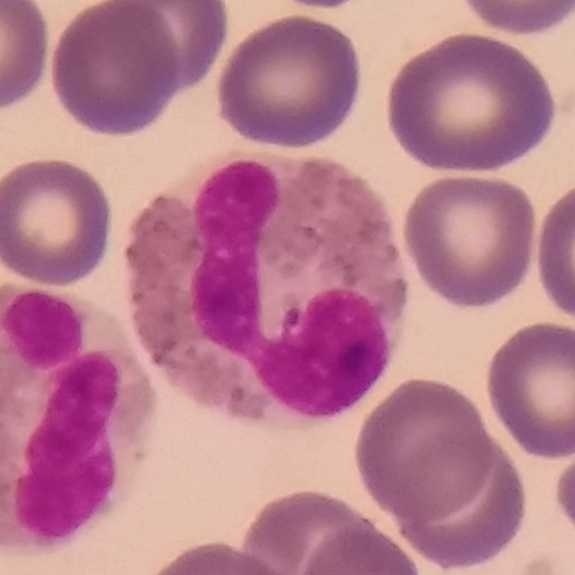

Context: Single-cell crop. Peripheral blood film.
The cell type is eosinophil.